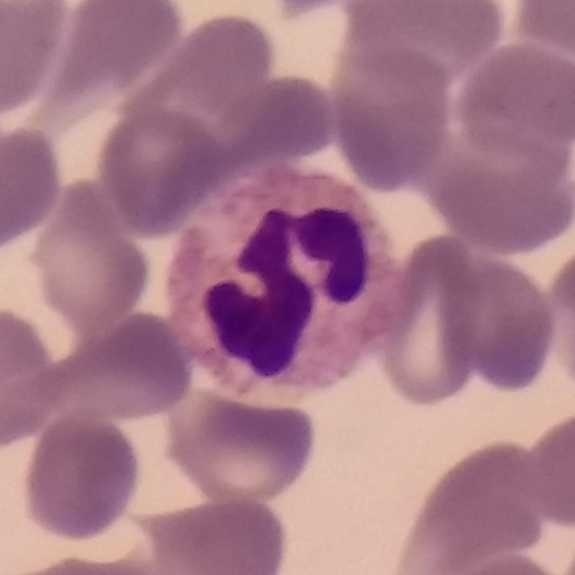 Preparation: Peripheral blood film.
Classification: neutrophil.